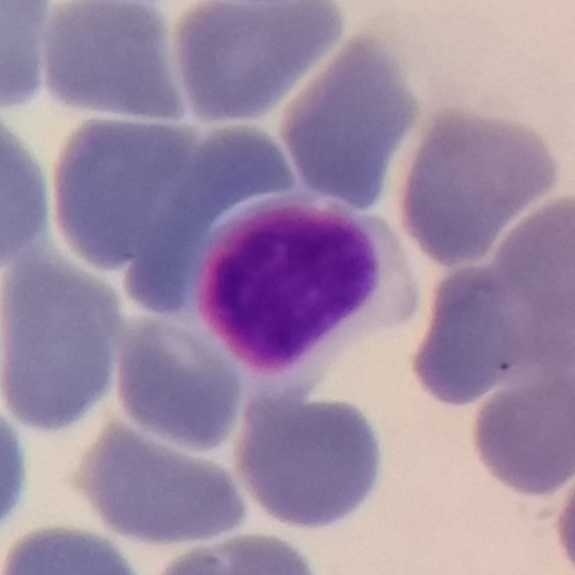

Preparation: 575×575; Giemsa-stained; peripheral blood film. Q: Which type of white blood cell is this?
A: Lymphocyte.